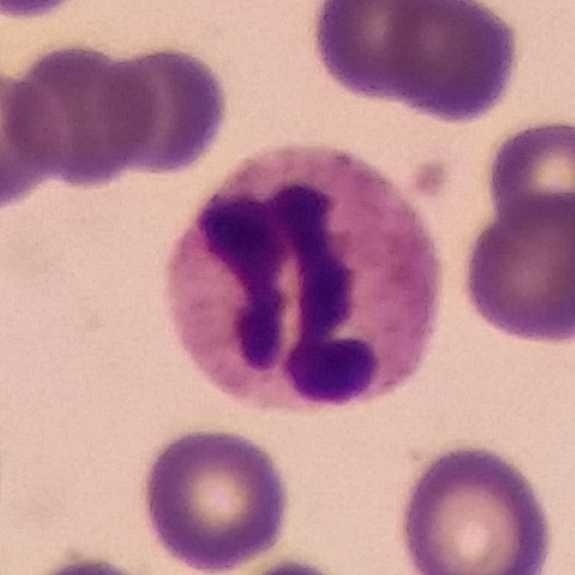 This is a neutrophil granulocyte.